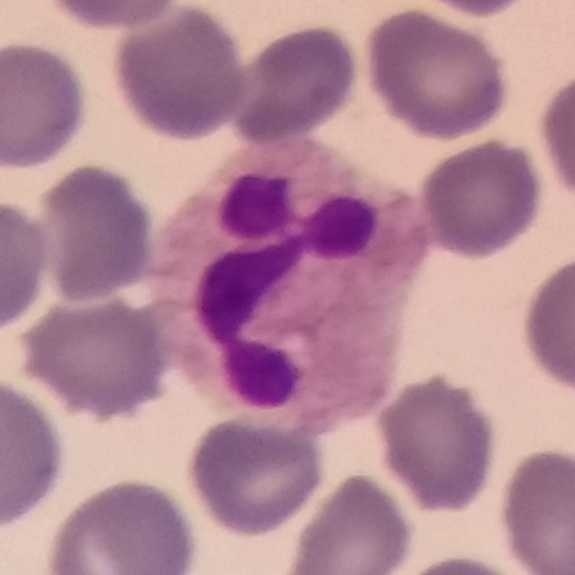

Q: Which cell type is shown here?
A: It is a neutrophilic granulocyte.

Acquisition: Stained with Giemsa · peripheral blood film · 575 by 575 pixels.